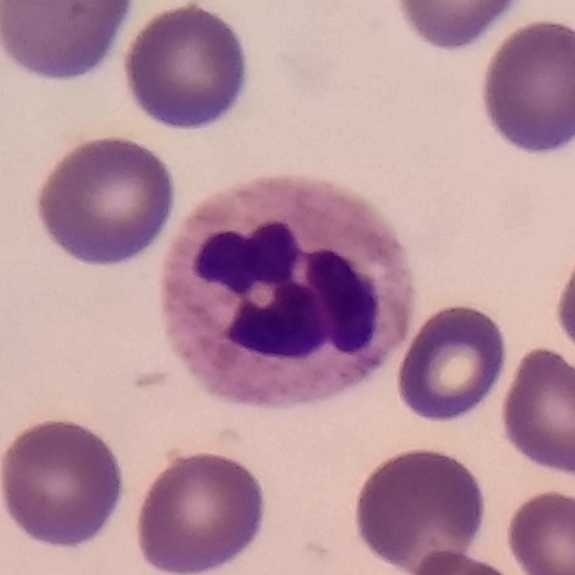
Q: Identify the cell.
A: It is a neutrophilic granulocyte.
Single-cell field. Peripheral blood smear.